Peripheral blood smear · photographed through a light microscope with a smartphone camera · Giemsa stain: 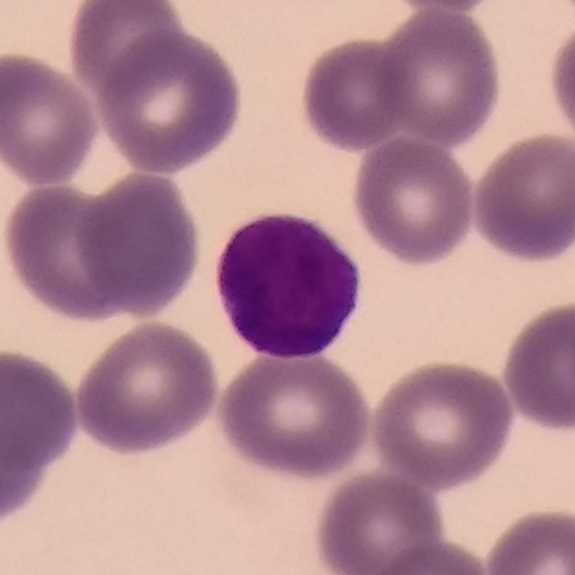
White blood cell type — lymphocyte.